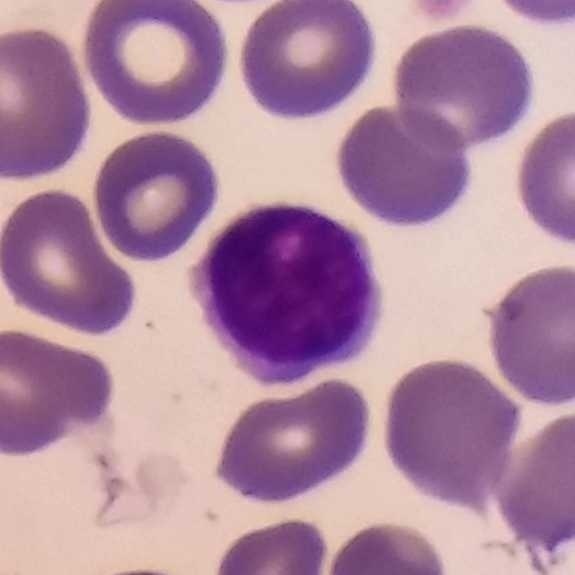

100× magnification.
Specimen: peripheral blood smear.
Cell type: lymphocyte.
Lineage: lymphoid.